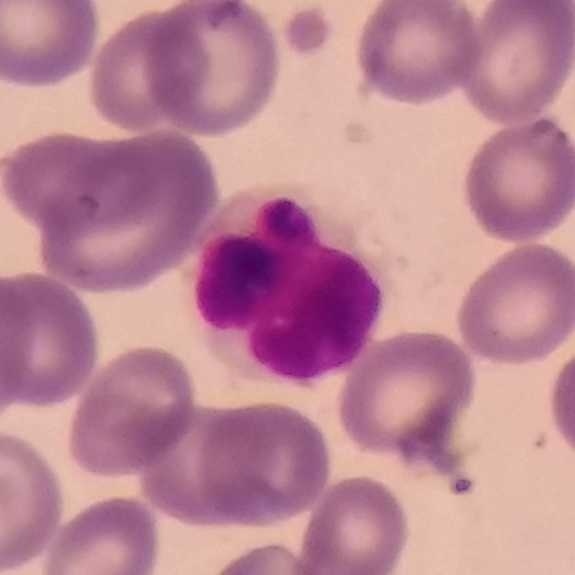
Acquisition: Photographed through a light microscope with a smartphone camera. Magnification 100×. Peripheral blood film. Q: What cell is this?
A: This is a lymphocyte.